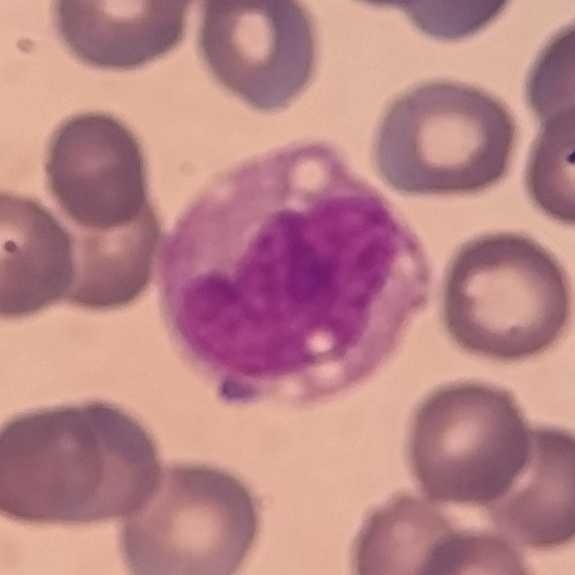Acquisition: Peripheral blood smear. This is a monocyte.